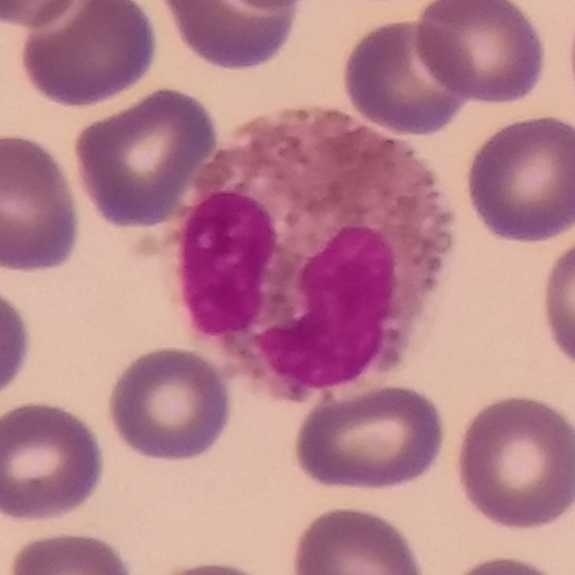

Peripheral blood smear.

The cell is eosinophil.